Smartphone camera mounted on the microscope eyepiece. Peripheral blood smear. Single-cell field.
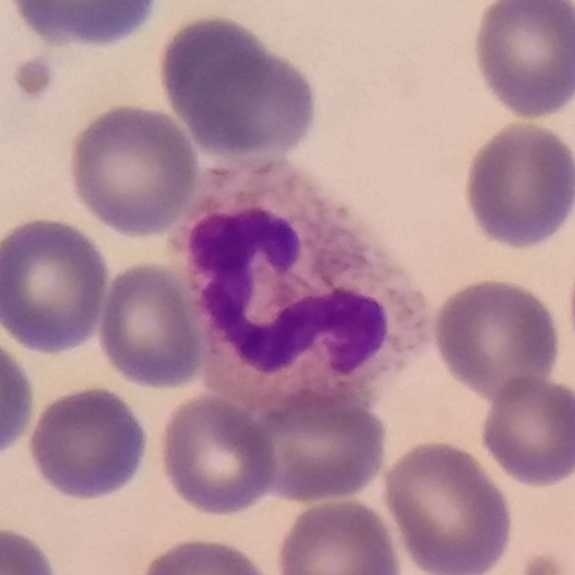

Showing a neutrophil granulocyte.